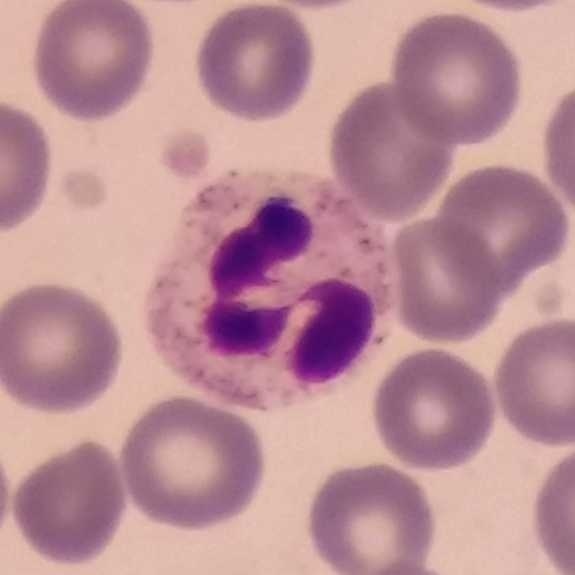
Q: Which cell type is shown here?
A: A neutrophil granulocyte.